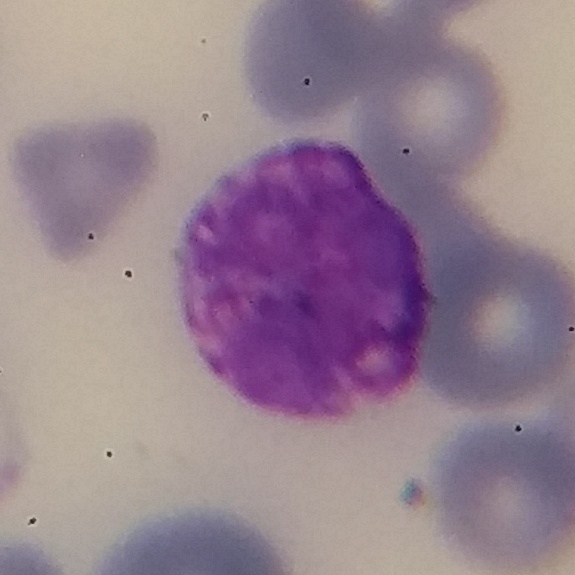
Peripheral blood smear.

Identified as a basophil.